Peripheral blood smear.
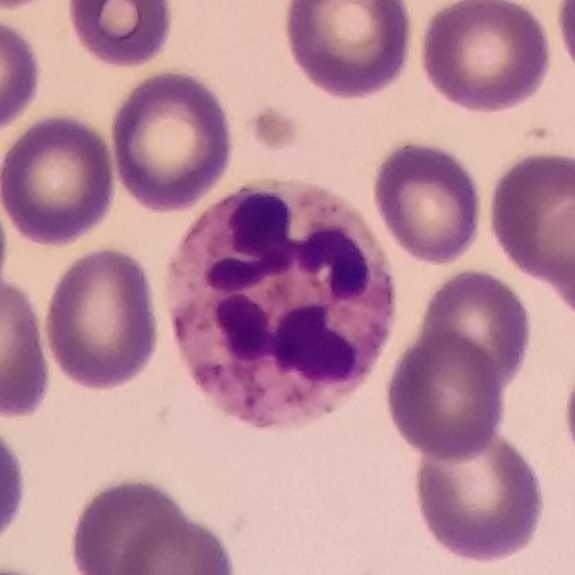
White blood cell type — neutrophil granulocyte.